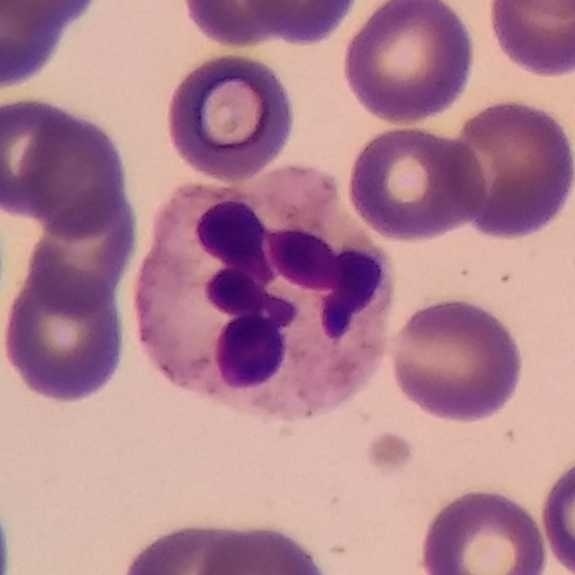
Cell = neutrophil granulocyte. Preparation: Phone-camera image taken through the microscope ocular · peripheral blood smear · stained with Giemsa.